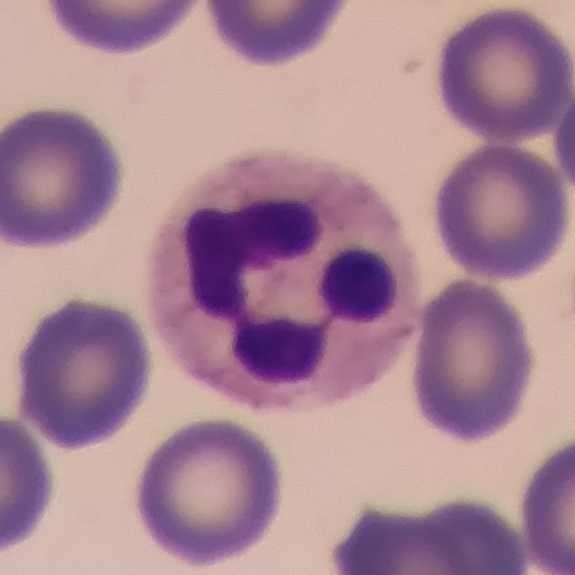 Image: Peripheral blood film. Single cell identified as a neutrophil granulocyte.